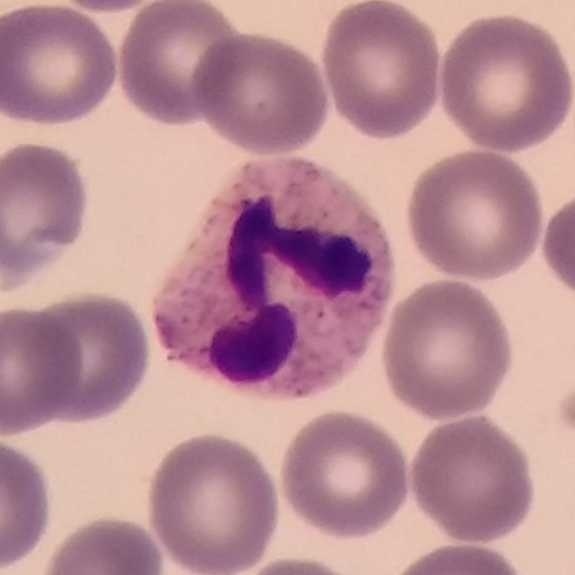Specimen: peripheral blood film.
Cell type: neutrophil granulocyte.
Preparation: Cropped to one leukocyte · phone-camera image taken through the microscope ocular.